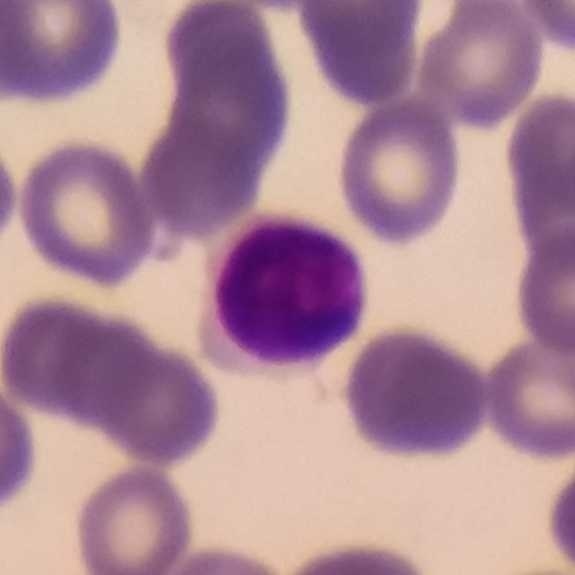Phone-camera image taken through the microscope ocular; 575×575.
Specimen: peripheral blood smear.
White blood cell type: lymphocyte.